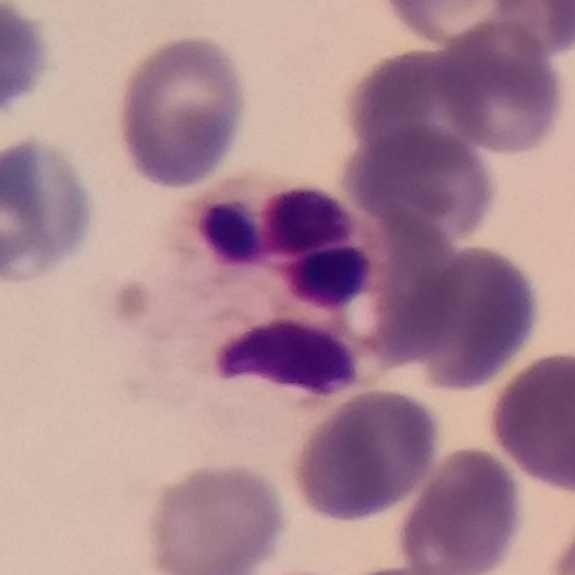Morphological class = neutrophil.